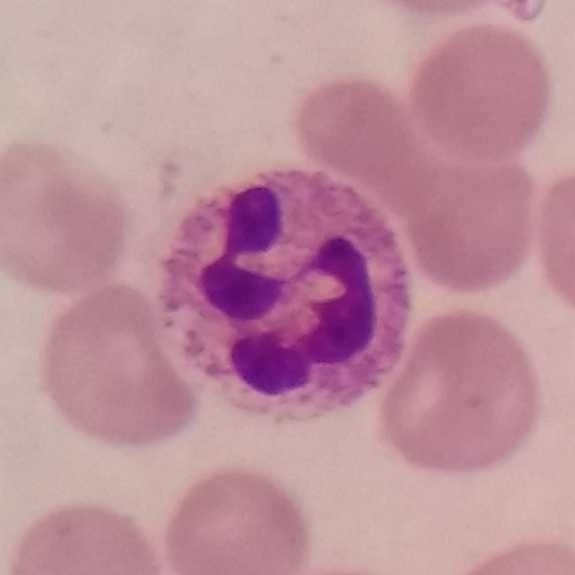 {"cell_type": "neutrophilic granulocyte", "lineage": "myeloid"}